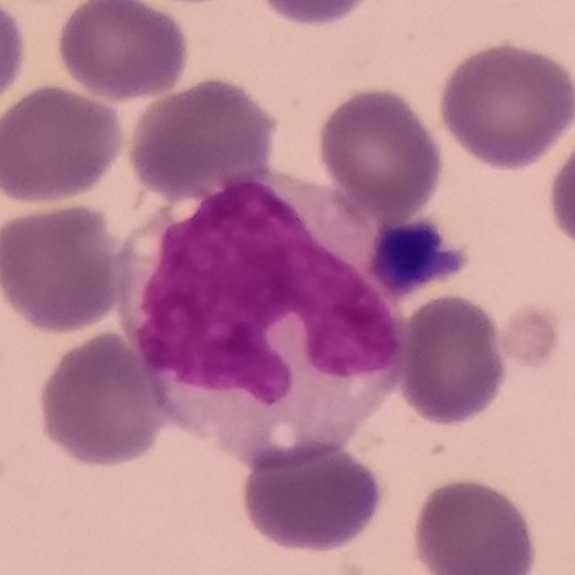 Peripheral blood film.

Impression — monocyte.